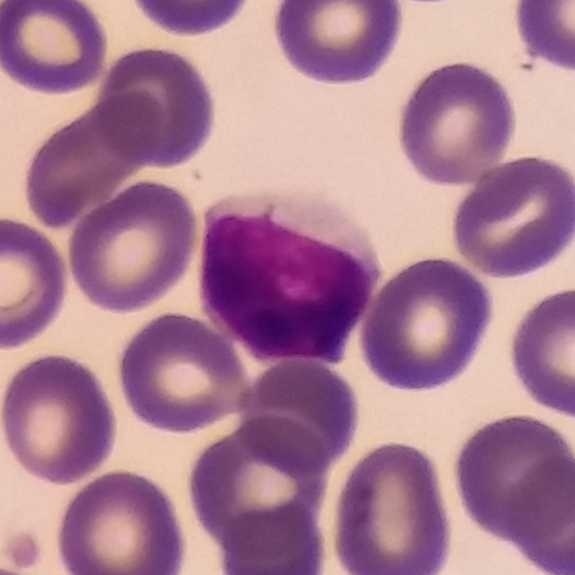 Q: Which cell type is shown here?
A: This is a lymphocyte.